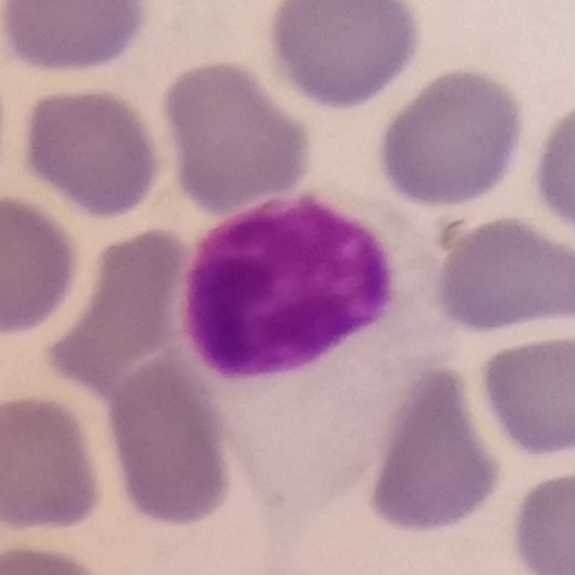 Q: Which type of white blood cell is this?
A: Lymphocyte.

Peripheral blood film; stained with Giemsa.